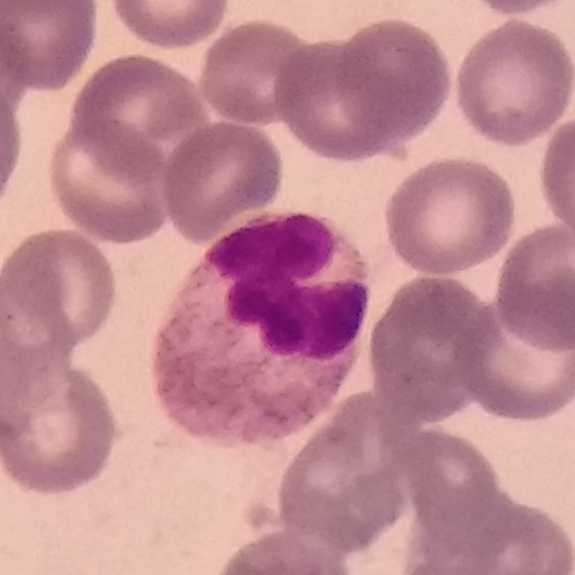 Q: What type of cell is this?
A: A neutrophilic granulocyte.